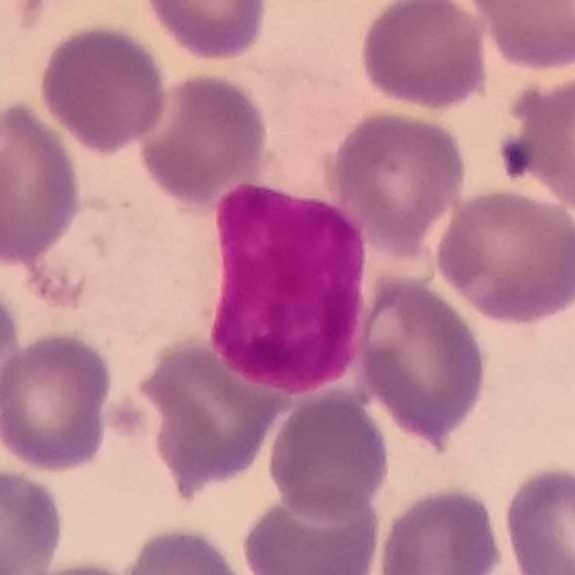This is a lymphocyte.